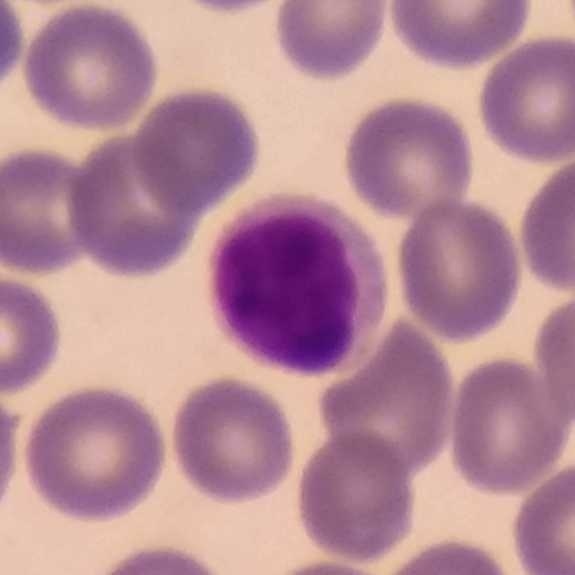
Context: Peripheral blood film.

The classification is lymphocyte.